Peripheral blood film
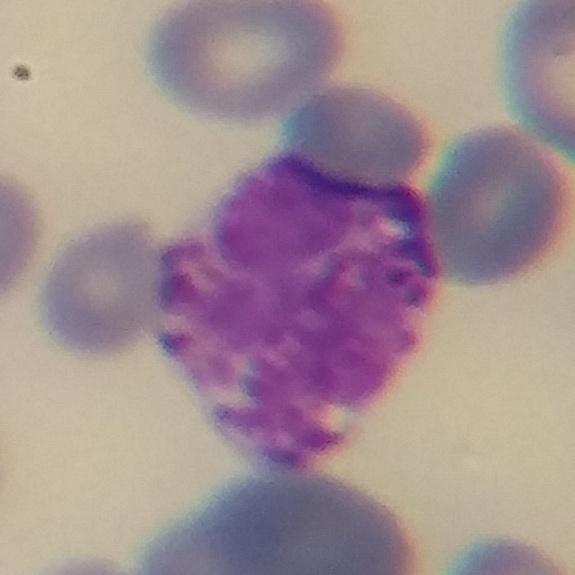 This is a basophil.